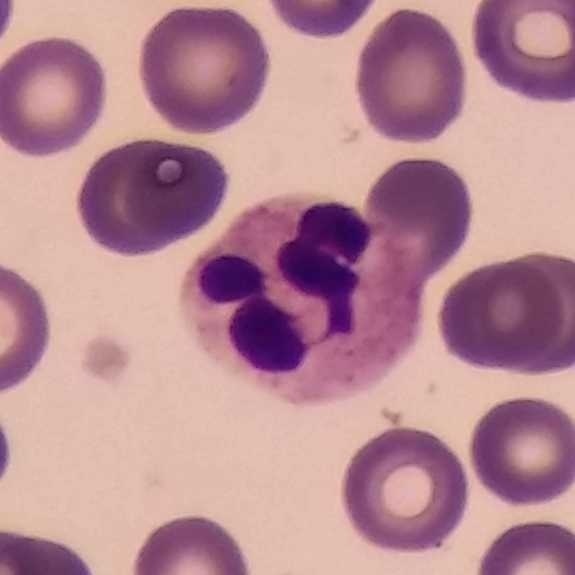
Morphology consistent with a neutrophilic granulocyte.